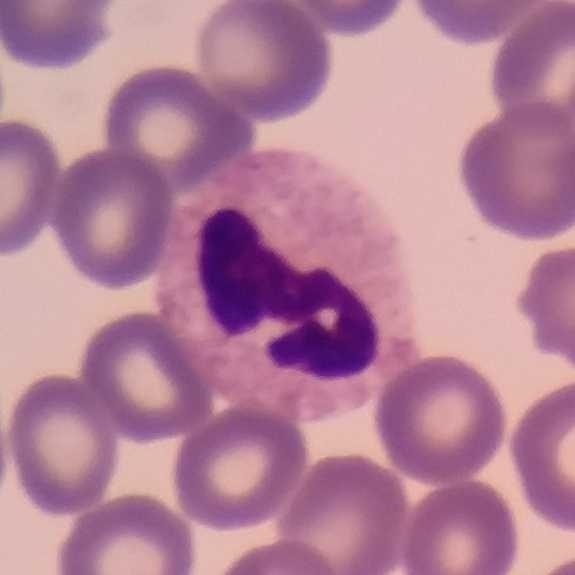Cell type — neutrophilic granulocyte.

Acquisition: Peripheral blood smear. Magnification 100×.